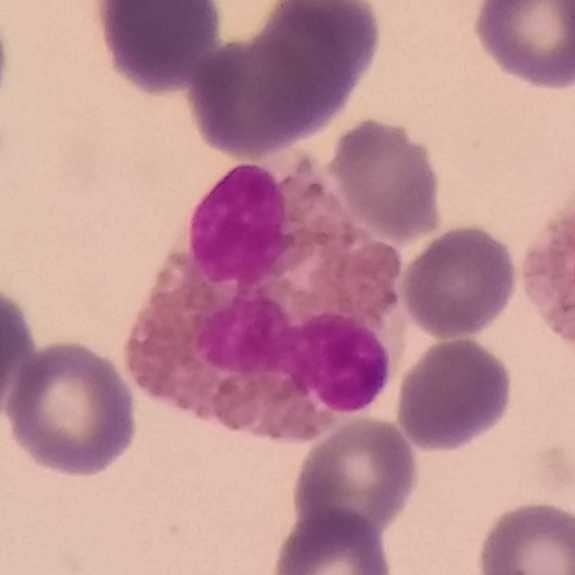

Q: What is the morphological classification of this cell?
A: Eosinophil.